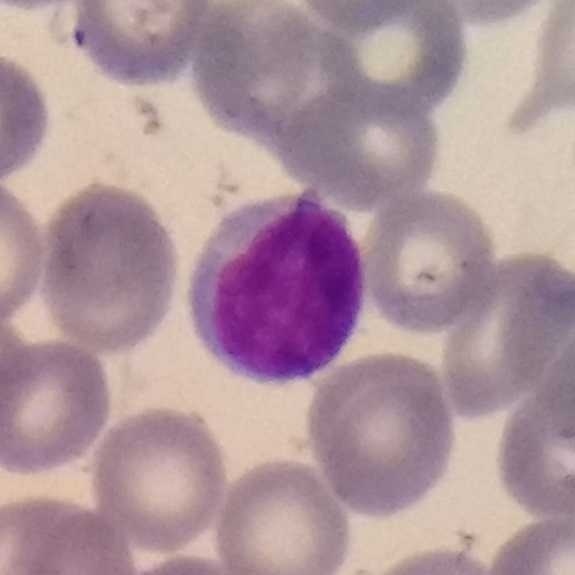 Context: Peripheral blood film. Magnification 100×. 575 by 575 pixels.
Q: What is the morphological classification of this cell?
A: This is a lymphocyte.